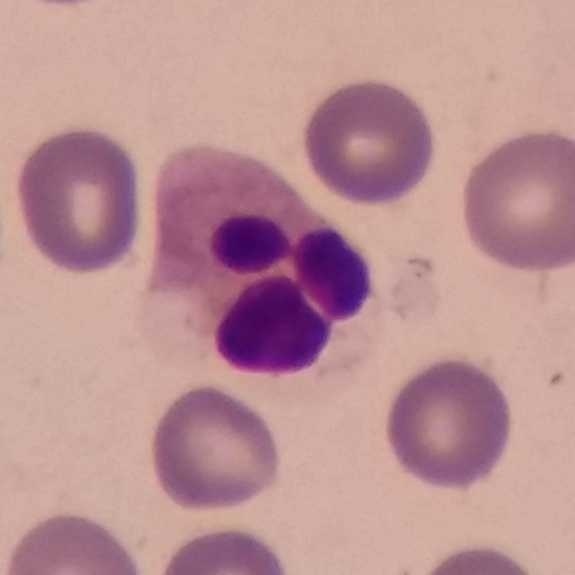
Classification — neutrophil granulocyte. Acquisition: 575×575 px; peripheral blood film.